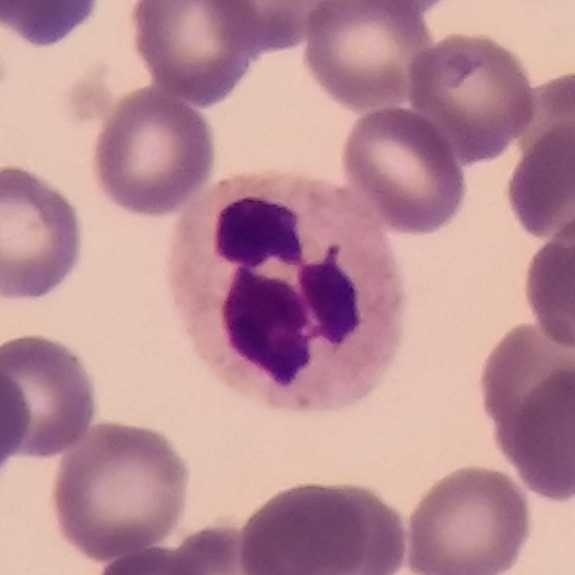Q: What is this?
A: This is a neutrophil.